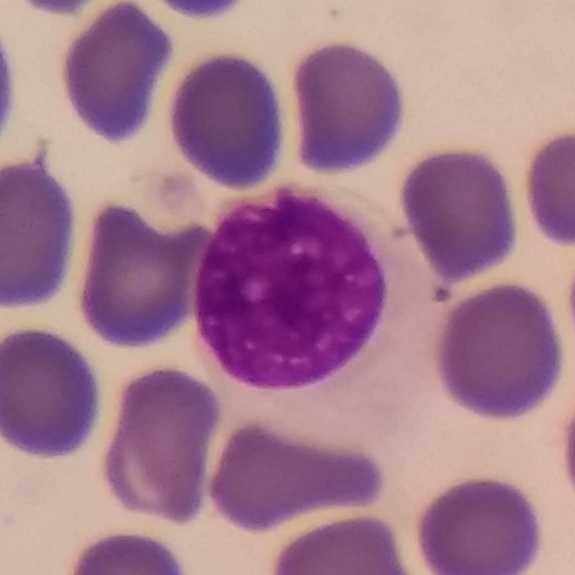 The white blood cell in this image is a monocyte. Preparation: Peripheral blood smear.